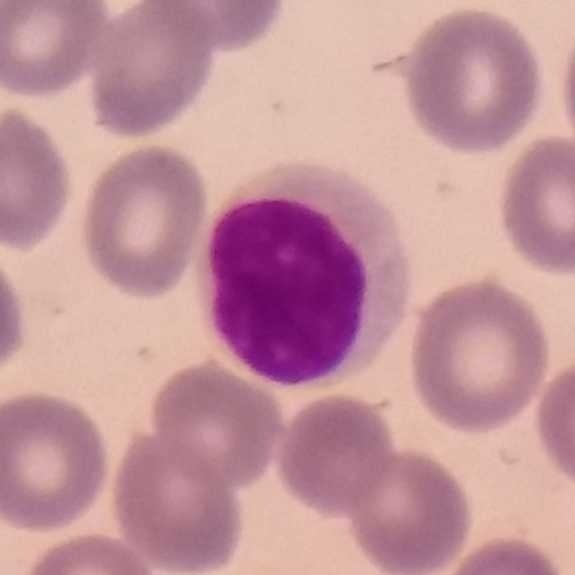Specimen: peripheral blood smear.
Cell type: lymphocyte.
Lineage: lymphoid.